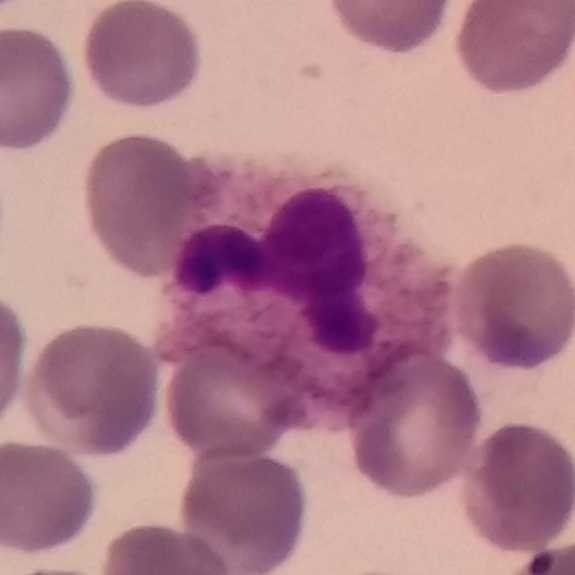
Acquisition: Peripheral blood film.

Classification — neutrophil.